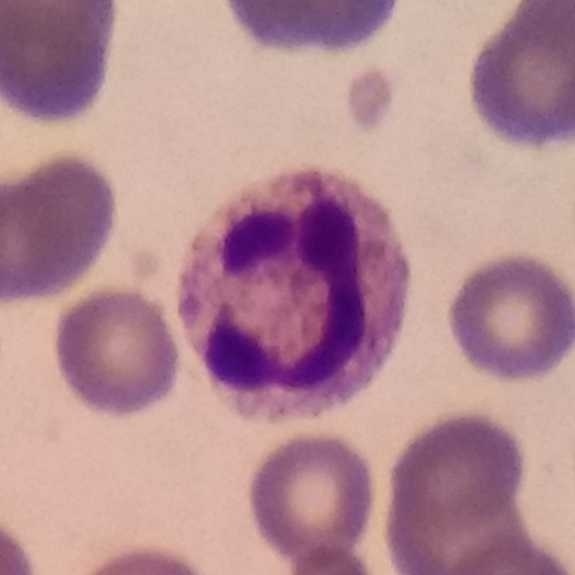
Classification = neutrophil.